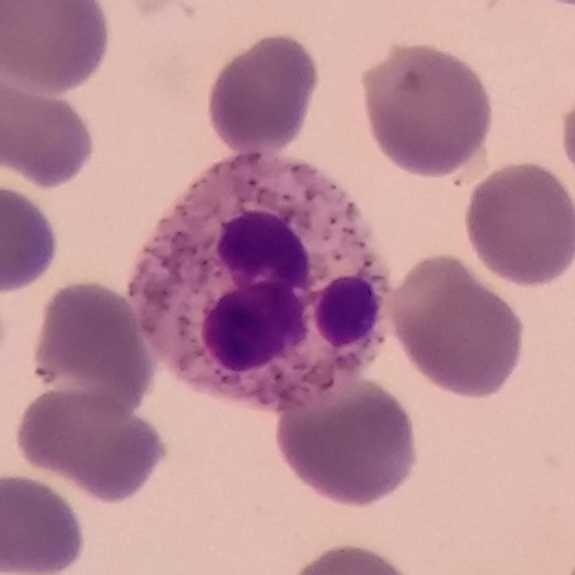
A neutrophilic granulocyte on a peripheral blood smear.